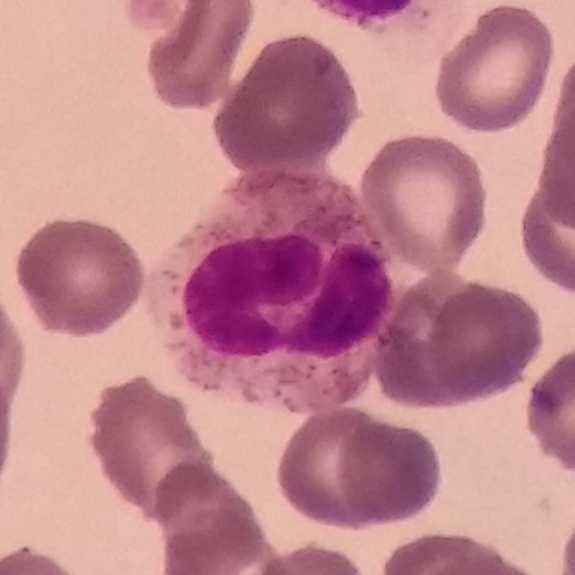Context: Peripheral blood film.

A neutrophilic granulocyte.